Magnification 100×. Smartphone photomicrograph. Peripheral blood film — 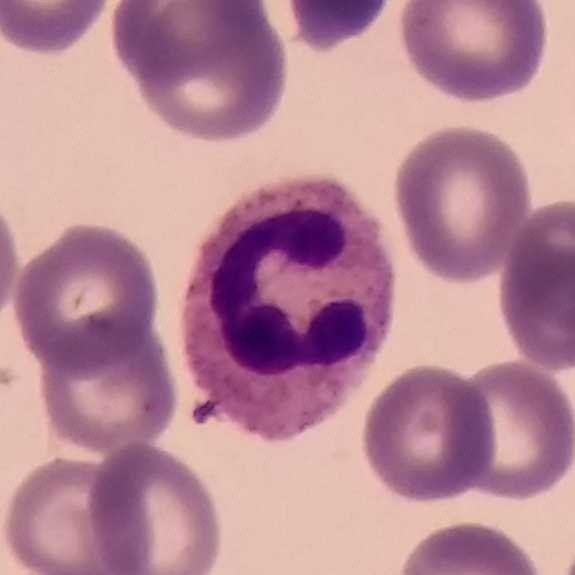 Specimen: peripheral blood film.
Morphological class: neutrophil.
Lineage: myeloid.